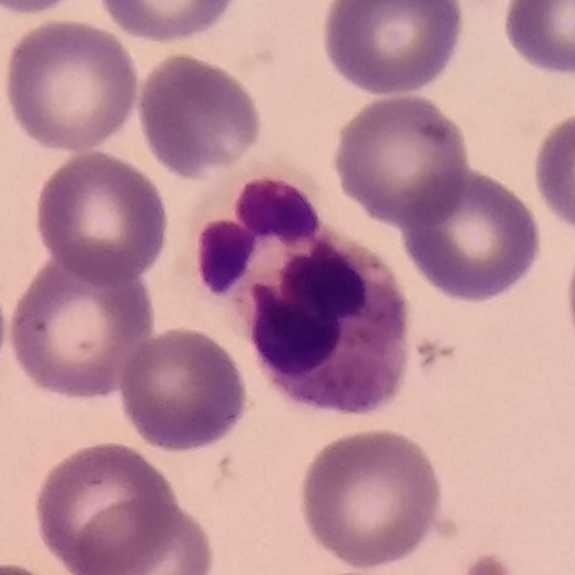 Acquisition: Peripheral blood film. Q: Identify the cell.
A: This is a neutrophil.